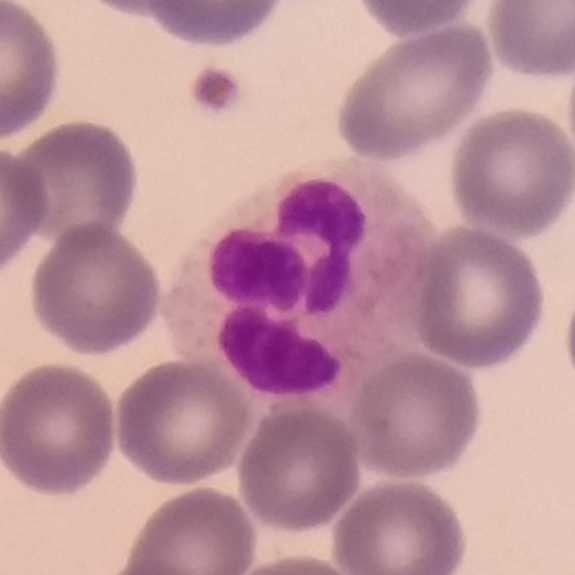 Classification — neutrophil granulocyte.
Image: Peripheral blood smear. Stained with Giemsa.